Peripheral blood smear. Photographed through a light microscope with a smartphone camera:
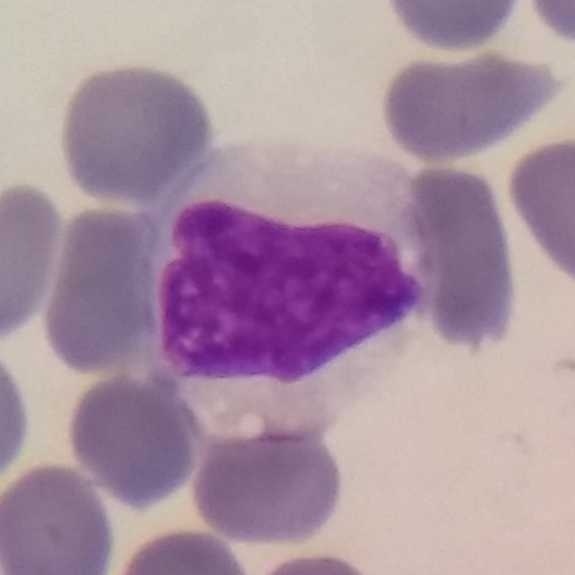

{"cell_type": "monocyte", "lineage": "myeloid"}